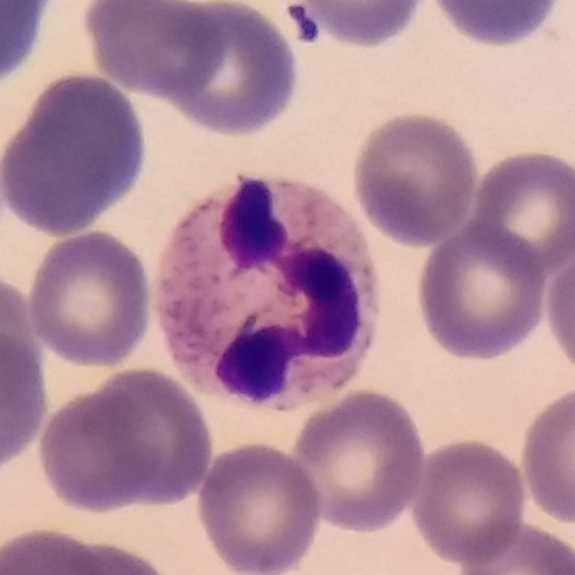

Context: Peripheral blood film.
Q: What type of cell is this?
A: A neutrophilic granulocyte.